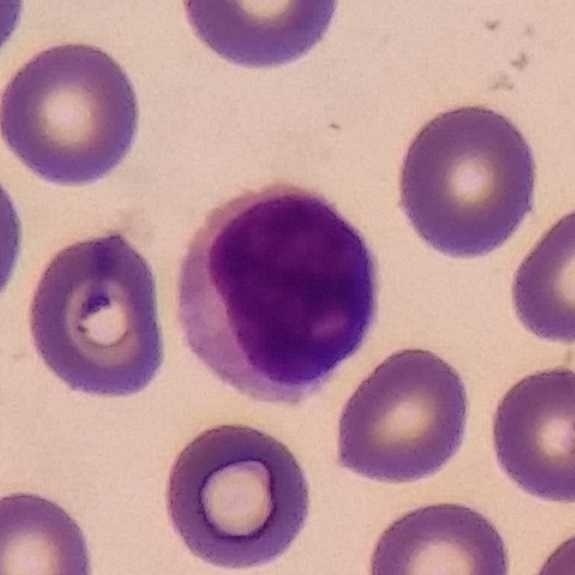
{"cell_type": "lymphocyte", "lineage": "lymphoid"} Context: Peripheral blood film.